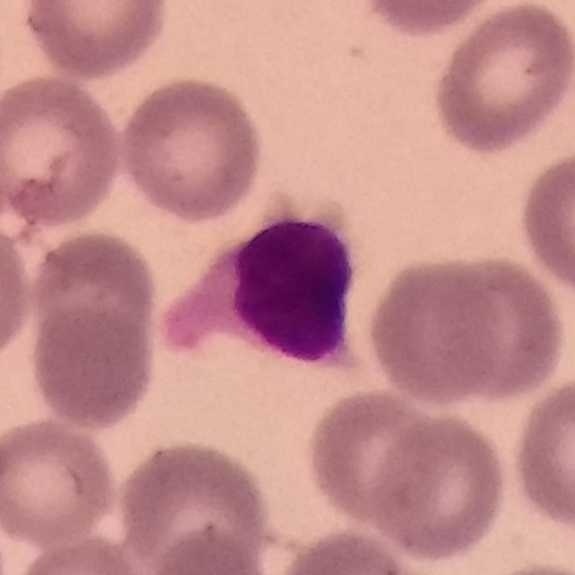

Lymphocyte.